Peripheral blood smear
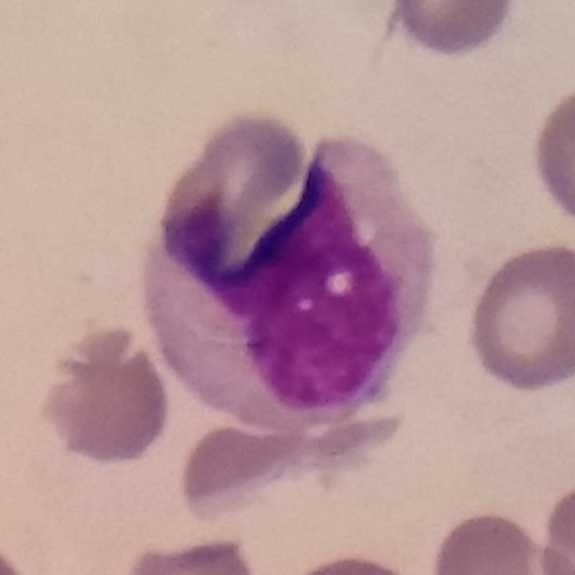 {"cell_type": "monocyte"}